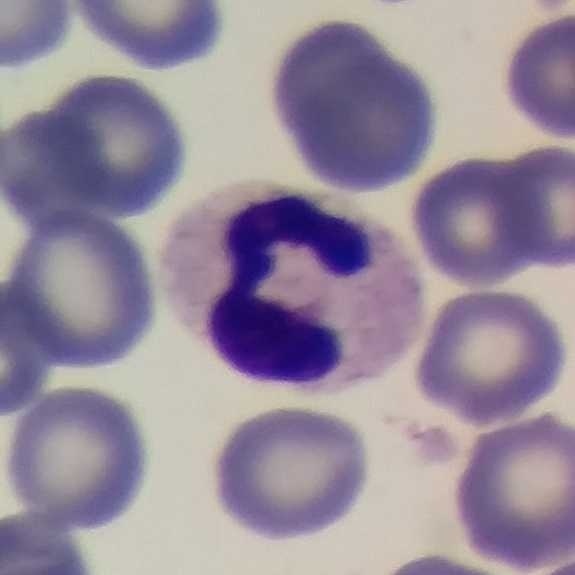

Q: What is this?
A: A neutrophilic granulocyte. Smartphone camera mounted on the microscope eyepiece; Giemsa-stained; peripheral blood film.